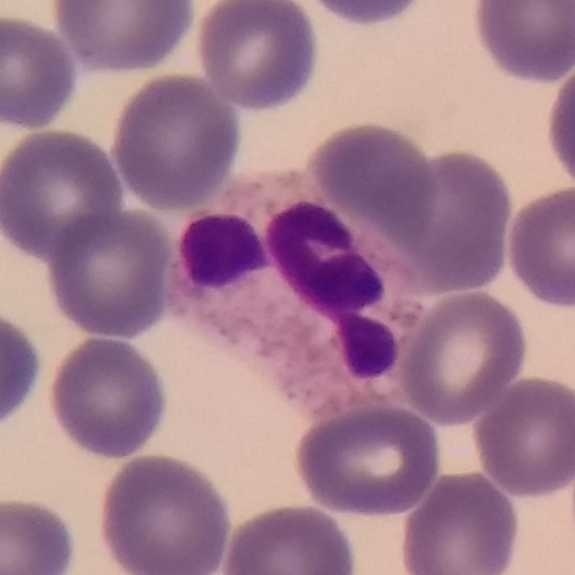 Morphology — neutrophilic granulocyte.